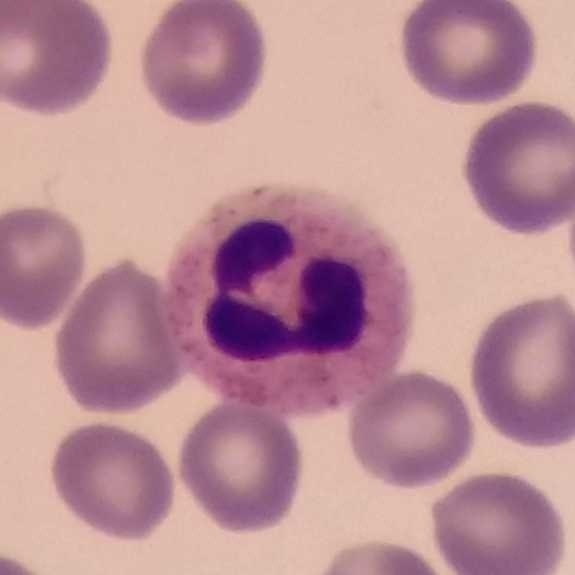Q: What is this?
A: A neutrophil. Image size 575×575. Peripheral blood smear.